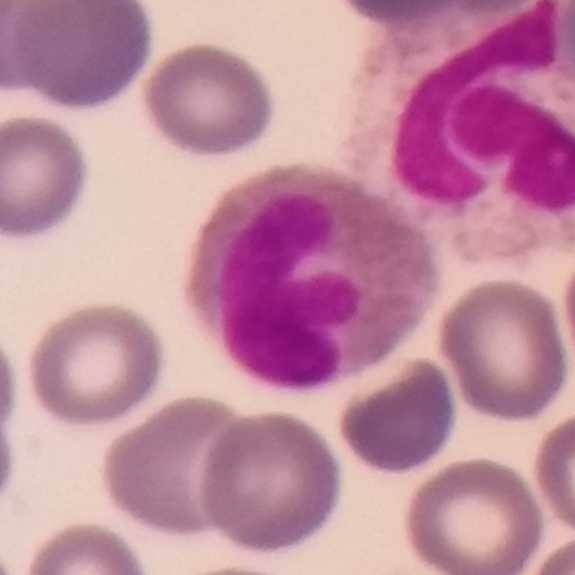 {"cell_type": "eosinophilic granulocyte"}

Peripheral blood film.